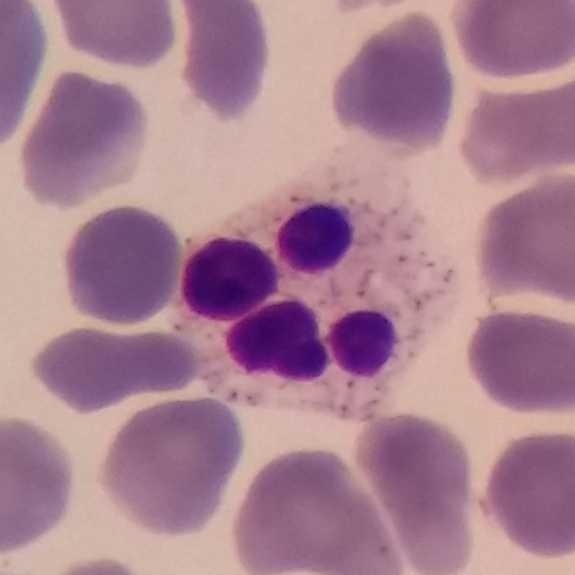 Morphological class = neutrophil.